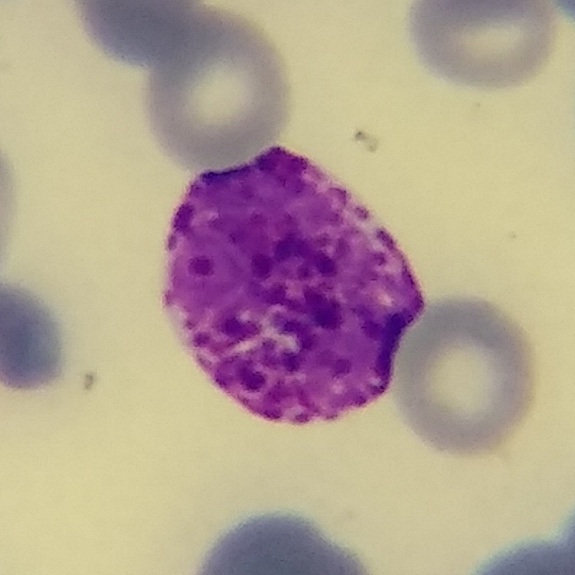
Single cell identified as a basophilic granulocyte.
Context: Imaged at 100×; peripheral blood smear.